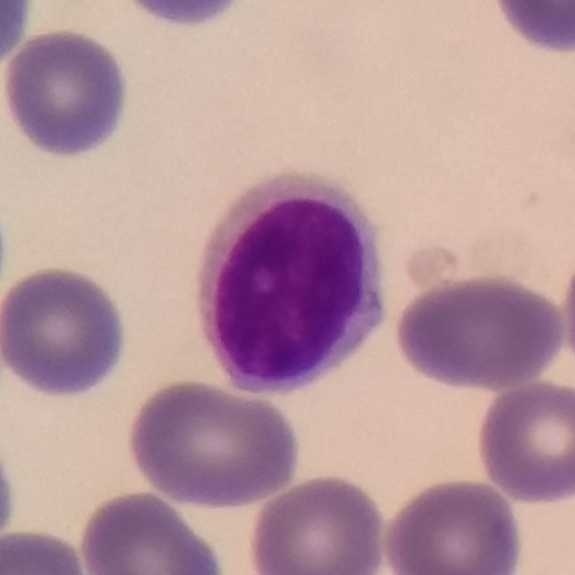

Image: Peripheral blood smear.

Q: What type of cell is this?
A: A lymphocyte.